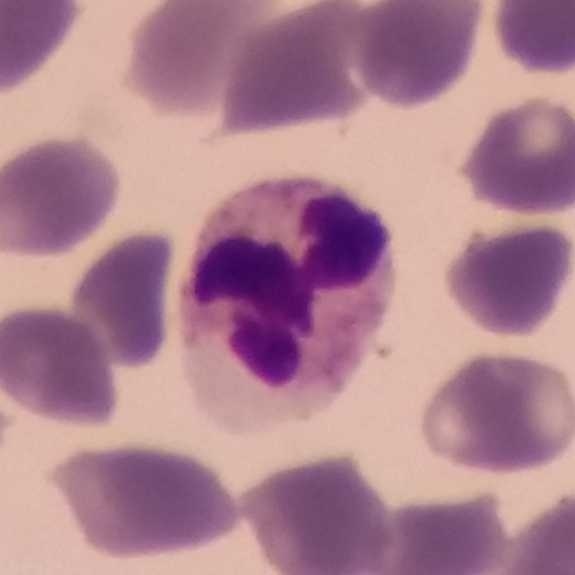 Specimen: peripheral blood film.
Classification: neutrophil granulocyte.